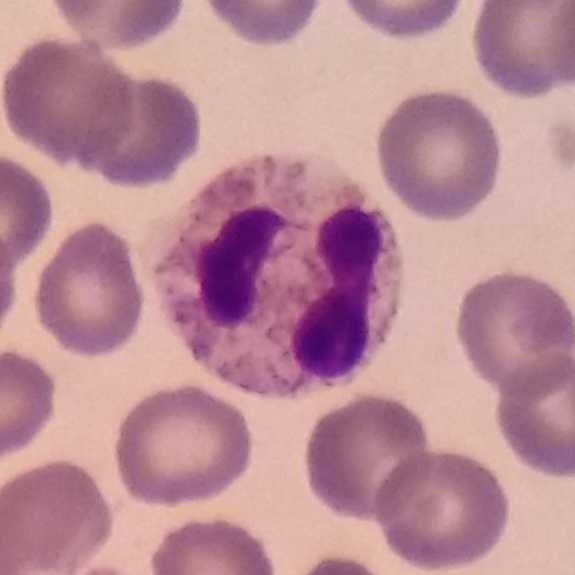 Cell = neutrophilic granulocyte.

Peripheral blood smear.